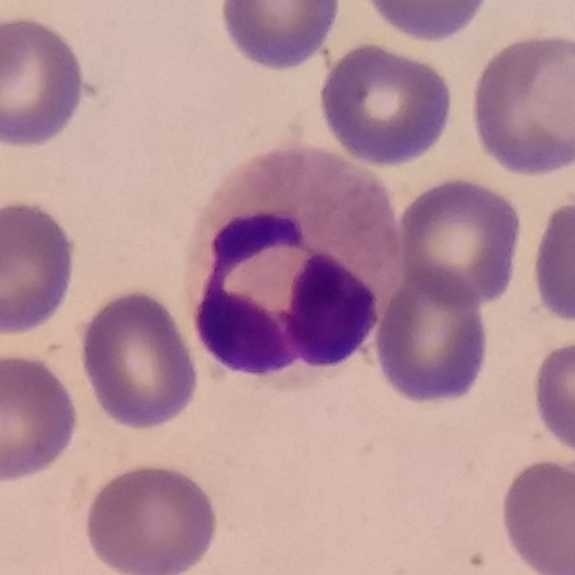
The morphological class is neutrophilic granulocyte. Acquisition: Peripheral blood film · cropped to one leukocyte.